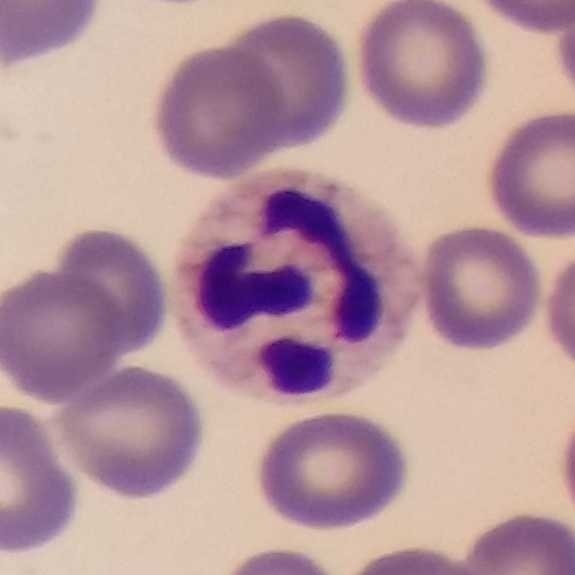 Identified as a neutrophil granulocyte.
Acquisition: Peripheral blood smear.